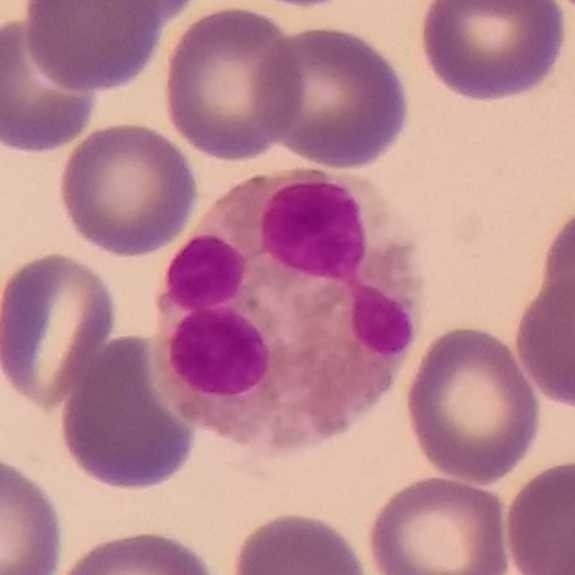Peripheral blood film; 100× magnification.

Morphology consistent with an eosinophil.